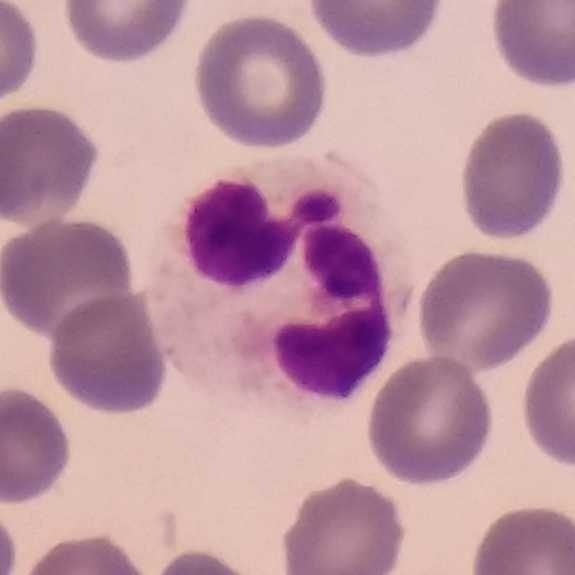 Identified as a neutrophil.